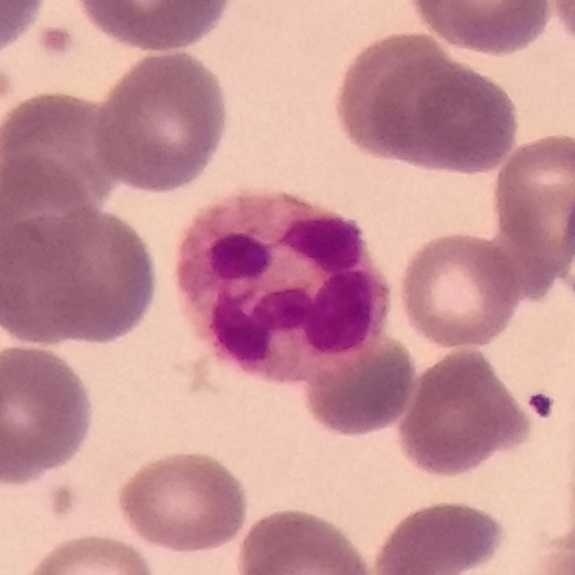

{"cell_type": "neutrophil granulocyte", "lineage": "myeloid"}

Peripheral blood smear.